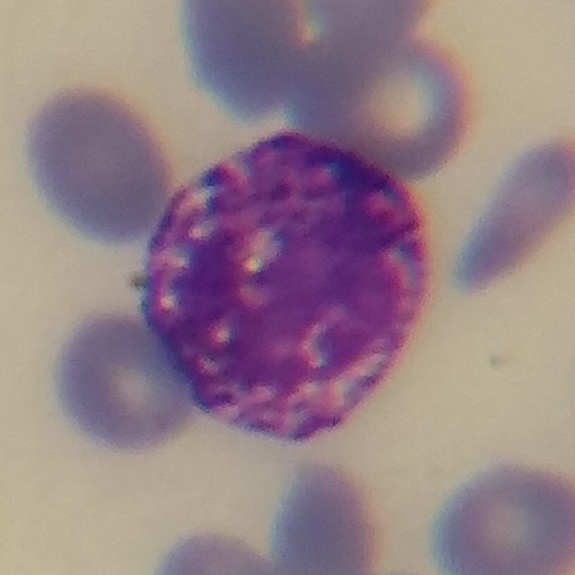 A basophil. Context: Peripheral blood film.